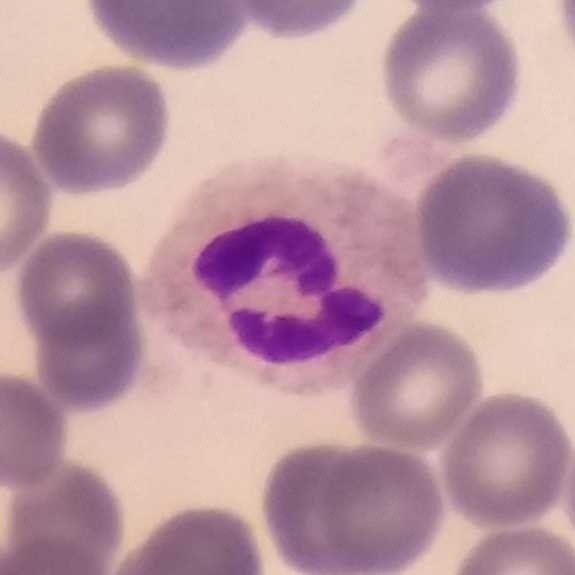
Peripheral blood smear.
The white blood cell type is neutrophil granulocyte.